Peripheral blood smear — 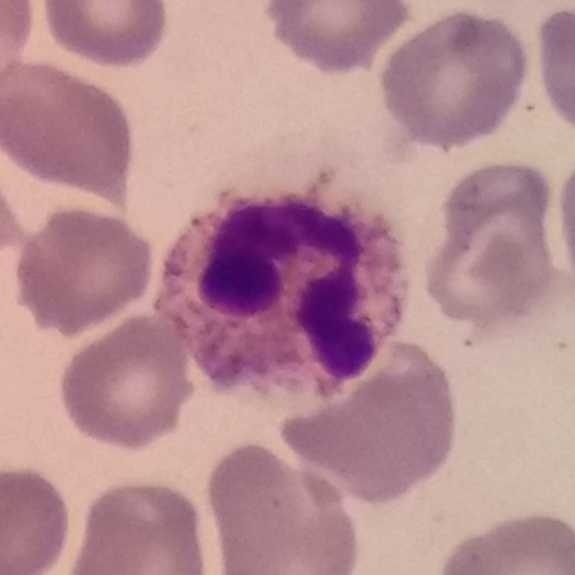 Cell = neutrophil.